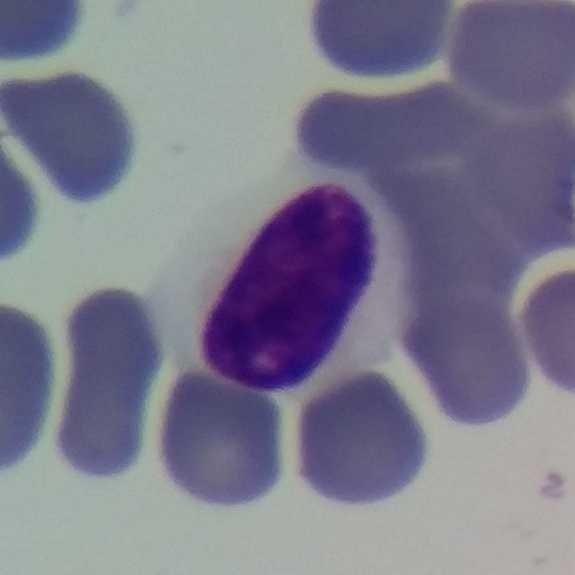Showing a lymphocyte.